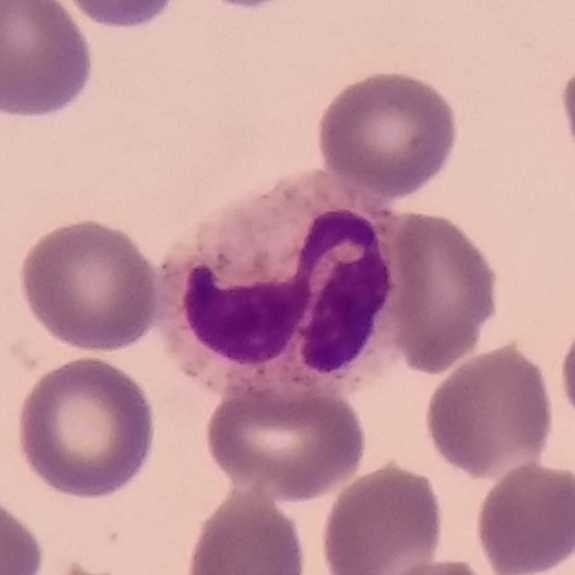

Image: Peripheral blood smear.

Cell: neutrophilic granulocyte.